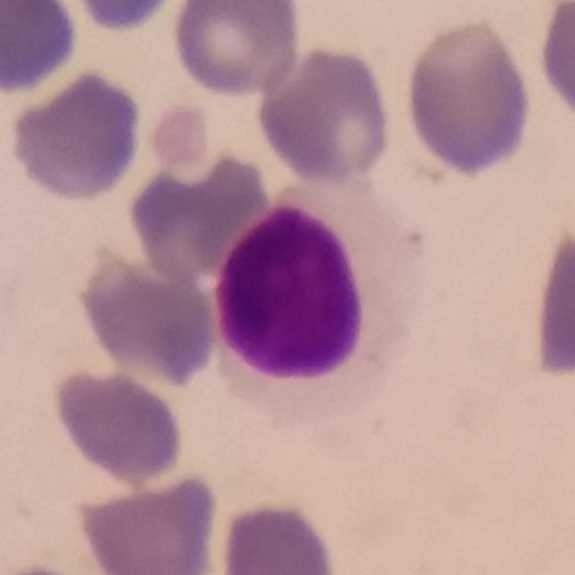 Acquisition: Peripheral blood film. Stained with Giemsa.
Lymphocyte.